Peripheral blood film.
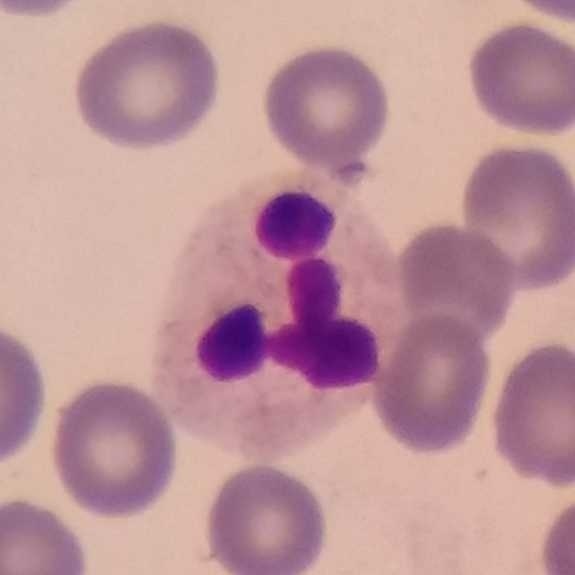Classification: neutrophil.